Giemsa stain · peripheral blood smear
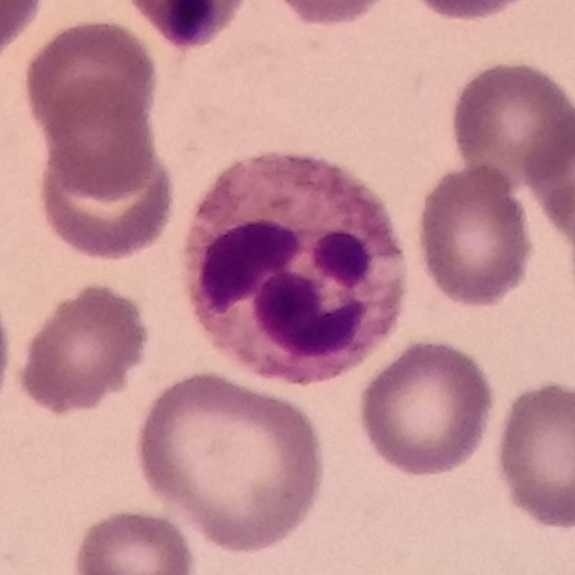

The cell shown is a neutrophil.